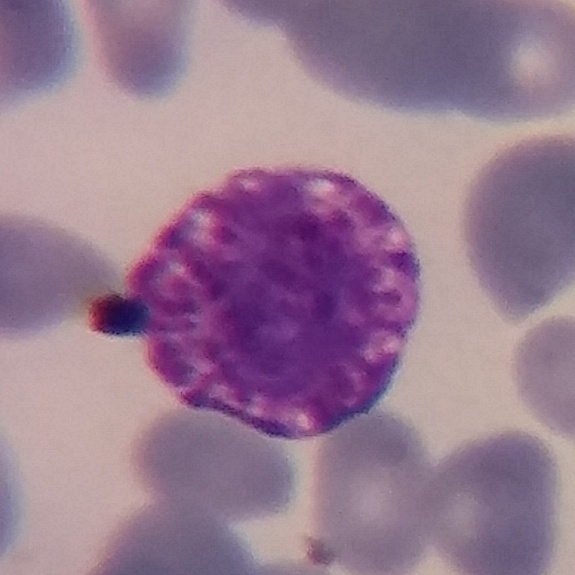
Acquisition: Peripheral blood smear. Cell = basophil.